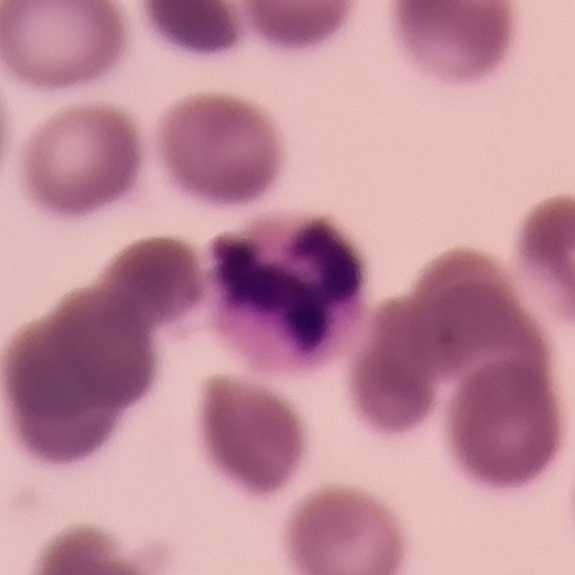
Image: Peripheral blood smear. Single white blood cell cropped from the smear photograph.

Cell type — neutrophil granulocyte.